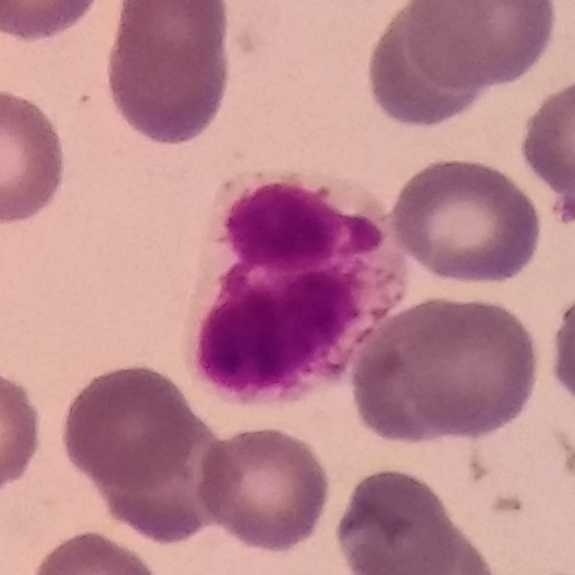 Q: What is the morphological classification of this cell?
A: It is a neutrophil.